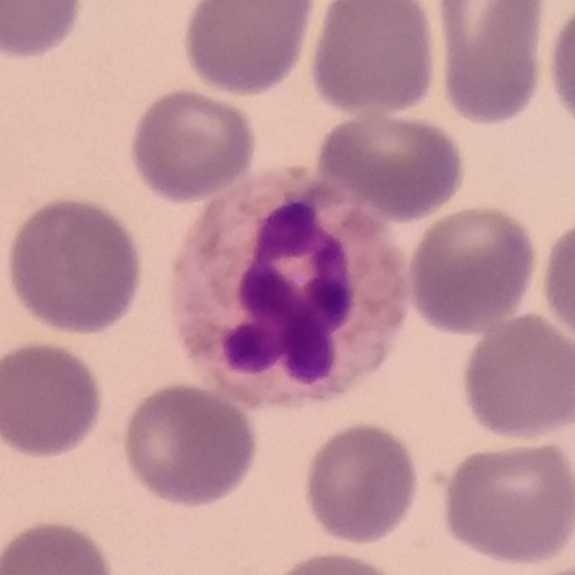 Identified as a neutrophilic granulocyte.

Image: Peripheral blood film.